Cropped to one leukocyte · stained with Giemsa · peripheral blood smear — 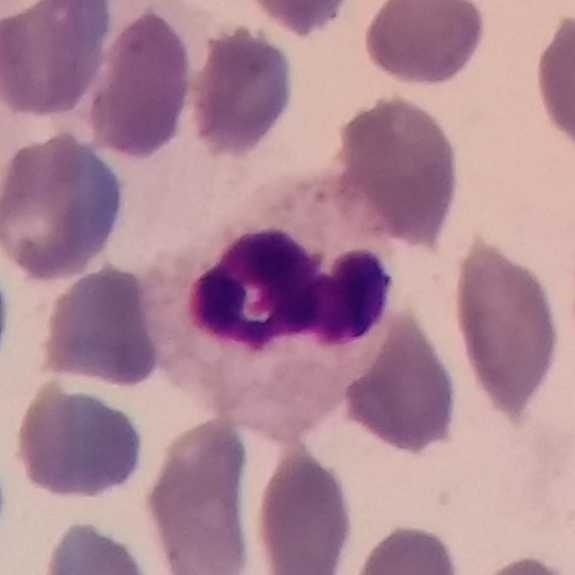 Morphology — neutrophil granulocyte.